Peripheral blood smear; 575×575 px.
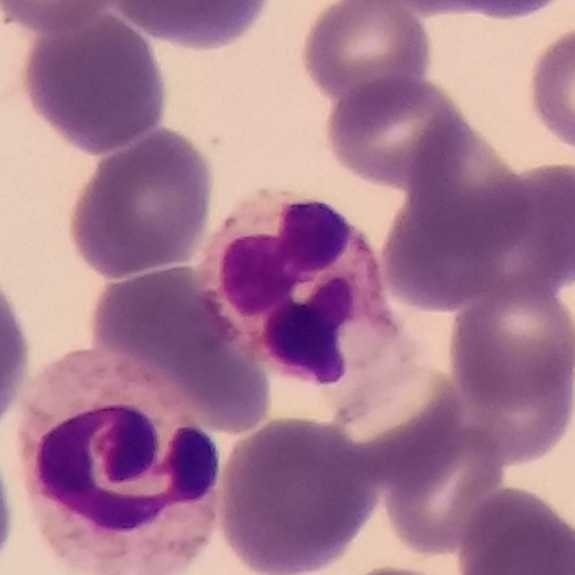 Specimen: peripheral blood smear.
Morphological class: neutrophilic granulocyte.
Lineage: myeloid.